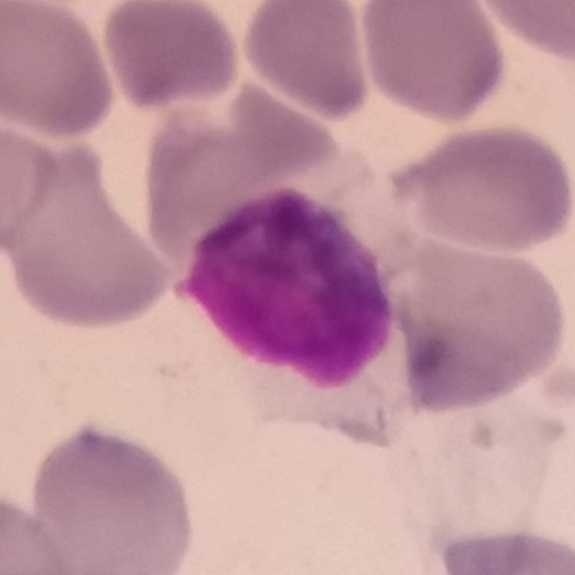 The morphological class is lymphocyte.